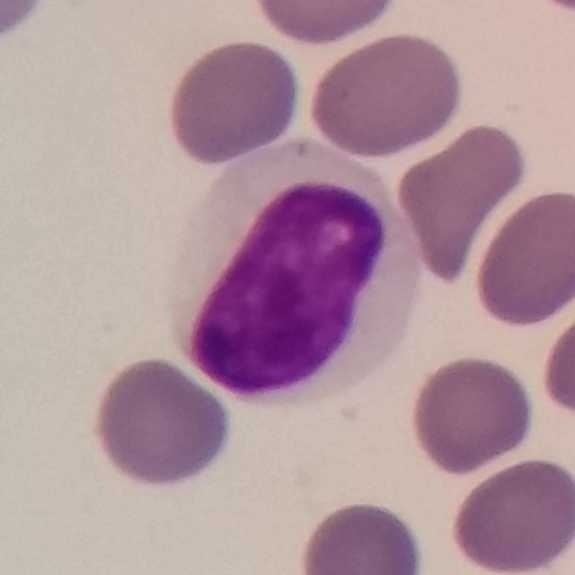Q: What cell is this?
A: Lymphocyte.
Context: Peripheral blood smear.